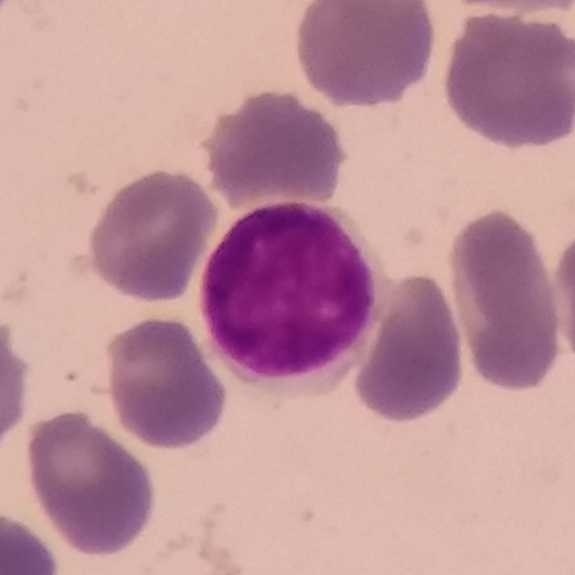
Context: Peripheral blood film · 575 by 575 pixels · Giemsa-stained.
This is a lymphocyte.